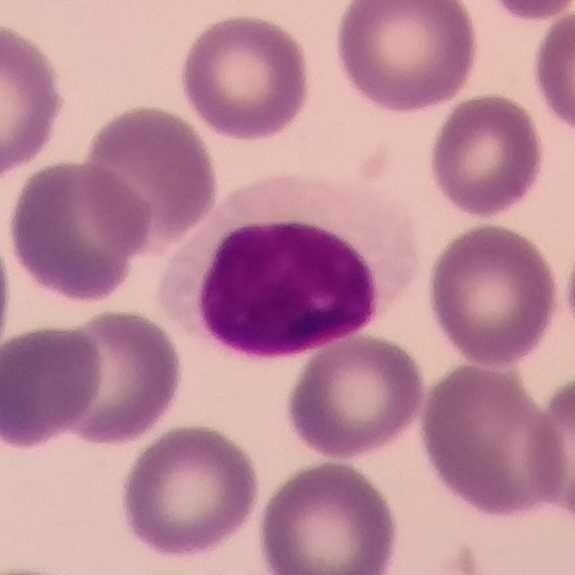Single-cell crop from a peripheral blood smear: lymphocyte.